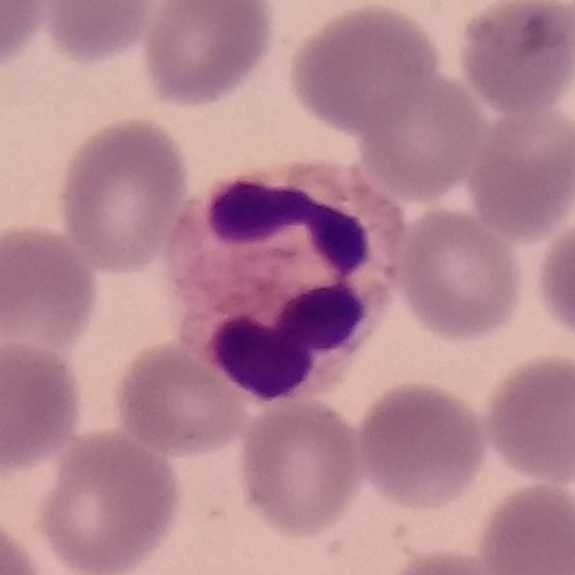 Q: What cell is this?
A: It is a neutrophilic granulocyte.